Peripheral blood smear: 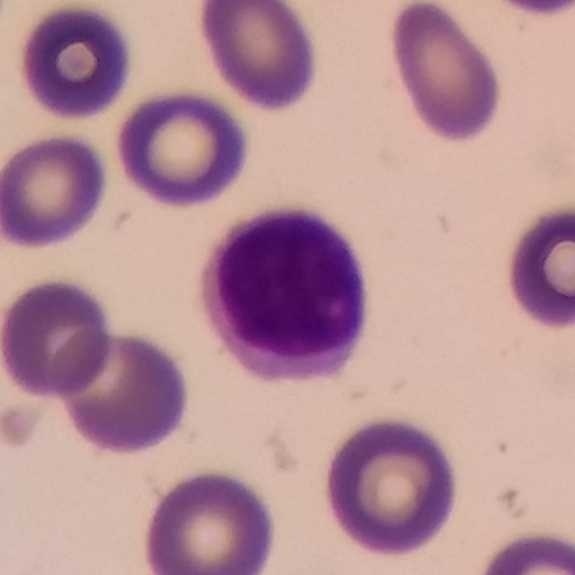Cell type: lymphocyte.